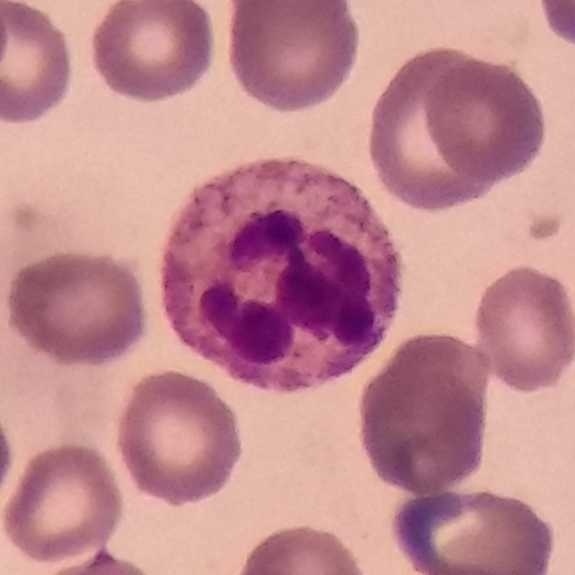
The white blood cell type is neutrophilic granulocyte.
Context: Peripheral blood smear.